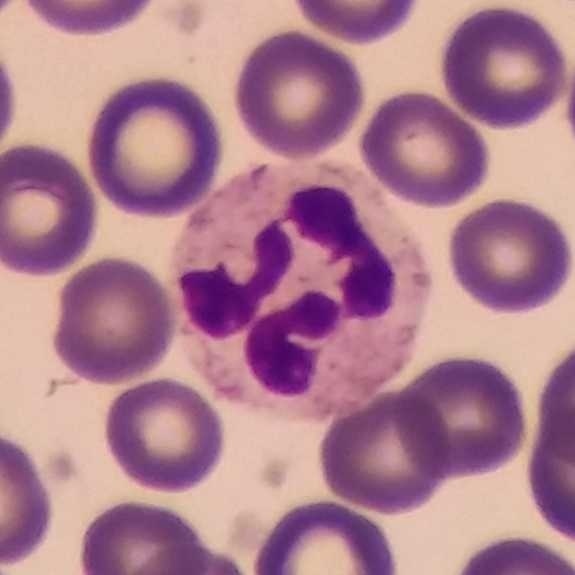 Morphological class — neutrophil granulocyte.